Peripheral blood smear; 575 by 575 pixels — 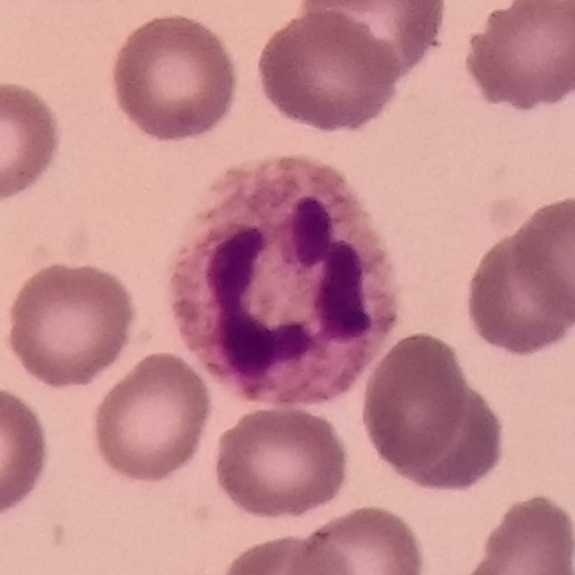The white blood cell type is neutrophil granulocyte.